575 by 575 pixels. Peripheral blood smear
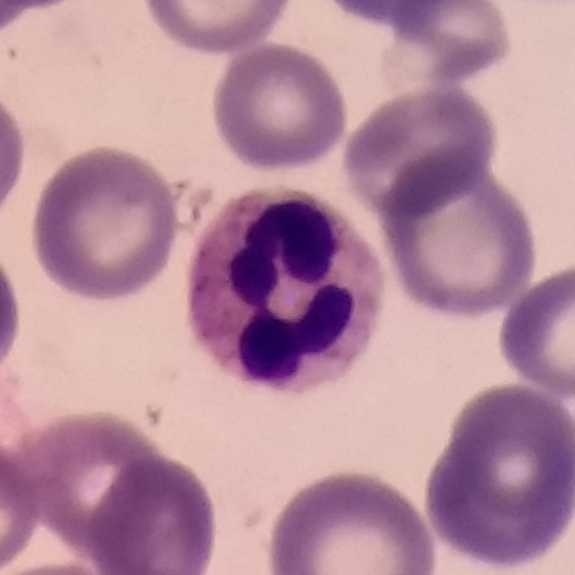
Specimen: peripheral blood smear.
Classification: neutrophil.
Lineage: myeloid.